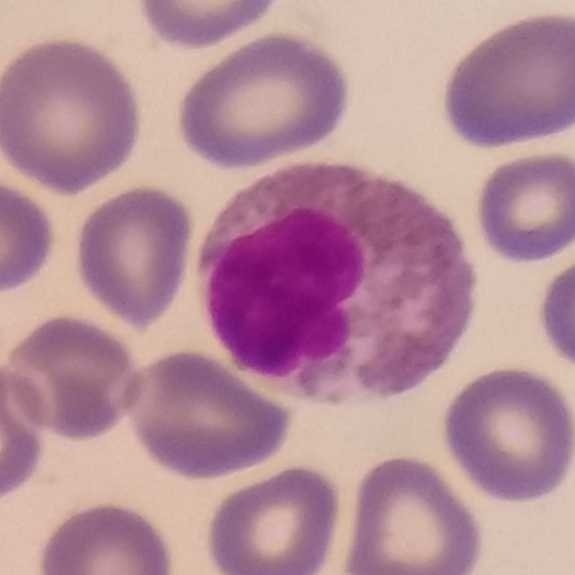
Peripheral blood film. This is an eosinophil.